Imaged at 100× · peripheral blood smear: 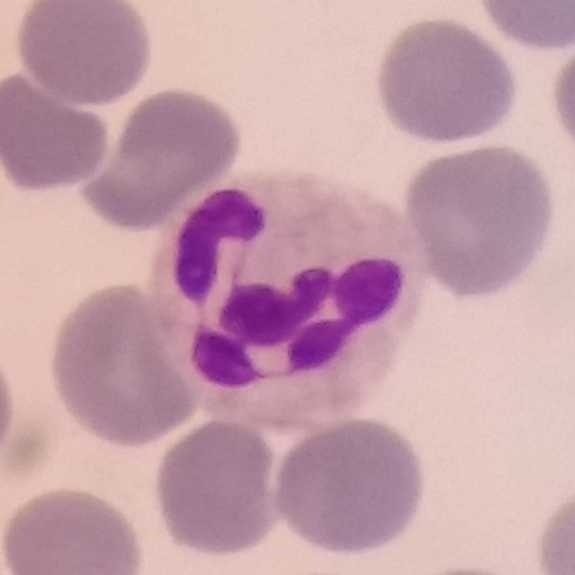

Q: What type of cell is this?
A: Neutrophil granulocyte.